Cropped to one leukocyte · peripheral blood smear:
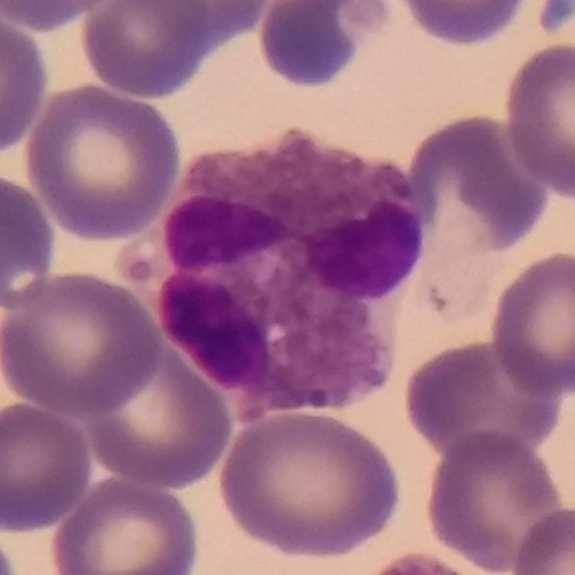
The white blood cell in this image is an eosinophil.